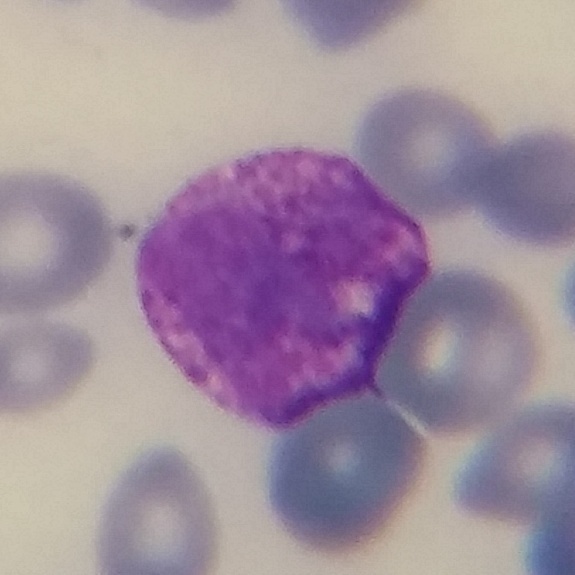Specimen: peripheral blood film.
Classification: basophil.
Lineage: myeloid.